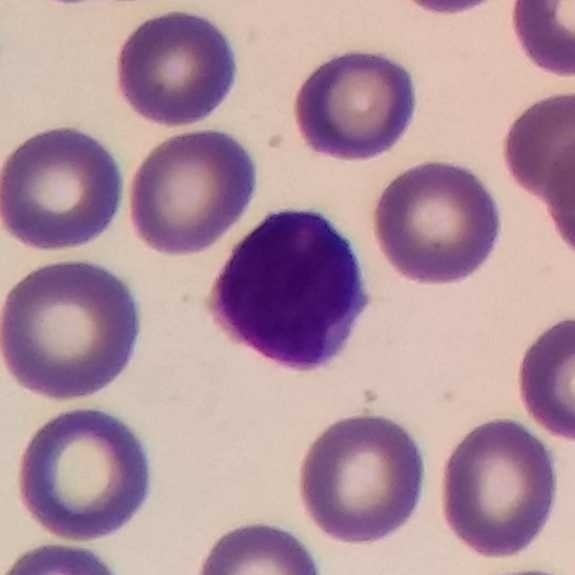
Specimen: peripheral blood film.
Morphological class: lymphocyte.
Lineage: lymphoid.

Smartphone camera mounted on the microscope eyepiece.